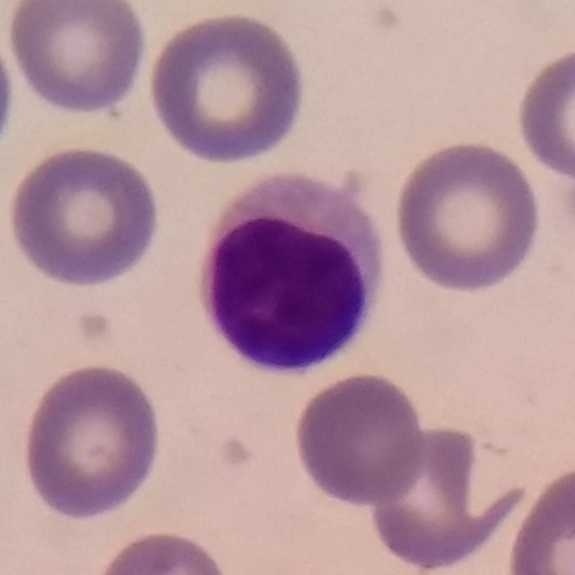

Cell type — lymphocyte.